Phone-camera image taken through the microscope ocular; 575×575 px; peripheral blood film.
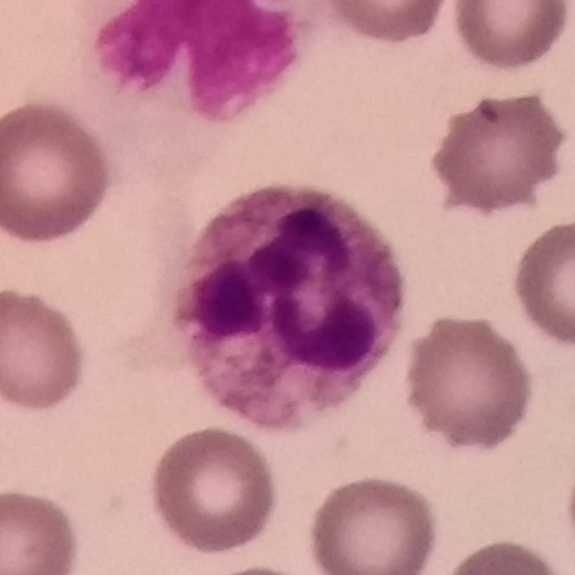
Specimen: peripheral blood smear.
Cell: neutrophil.